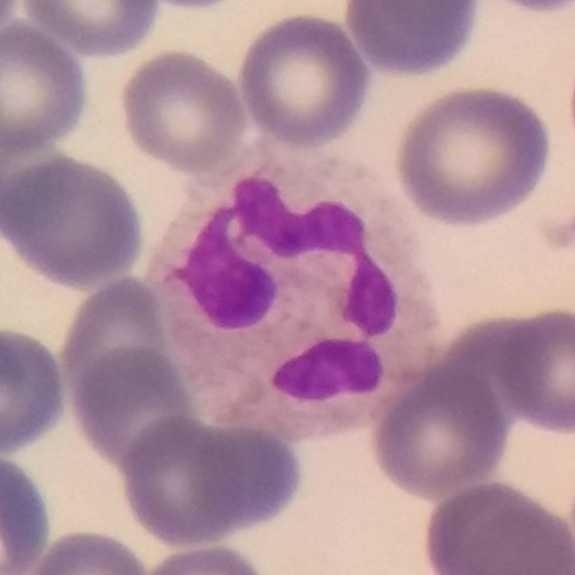
Acquisition: Smartphone camera mounted on the microscope eyepiece; peripheral blood film; imaged at 100×. Morphology — neutrophil granulocyte.